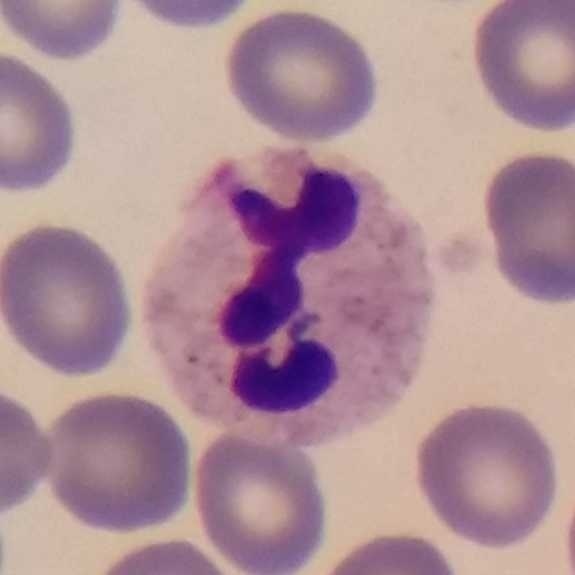
Single cell identified as a neutrophil granulocyte.